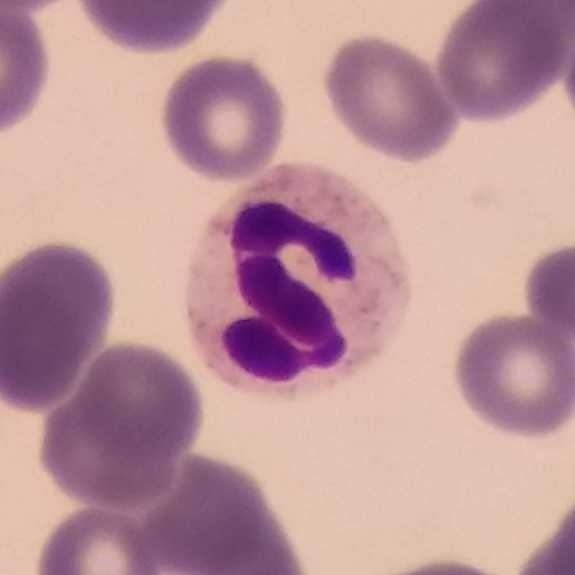

Acquisition: Peripheral blood smear.

Cell type = neutrophil.